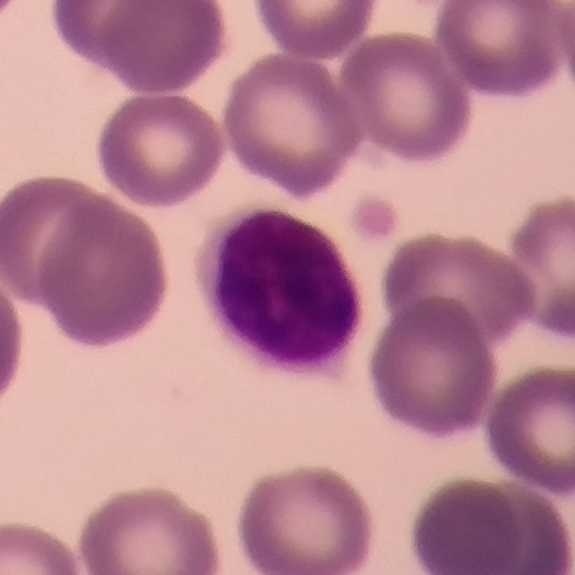
Context: Imaged at 100× · smartphone camera mounted on the microscope eyepiece · peripheral blood film. Showing a lymphocyte.